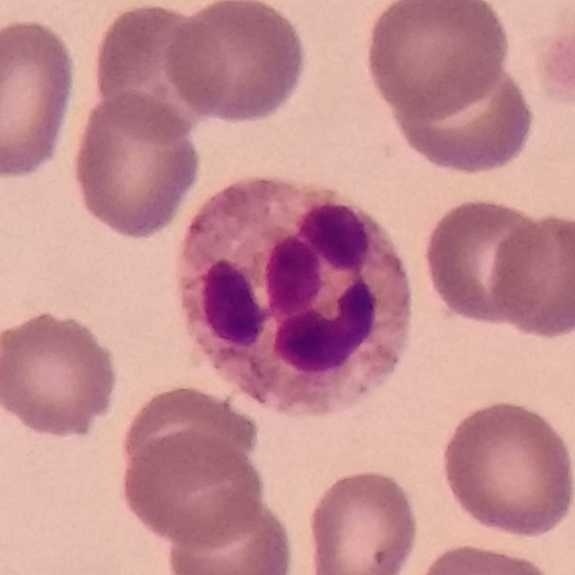 Morphology → neutrophil.

Peripheral blood film. Smartphone camera mounted on the microscope eyepiece.